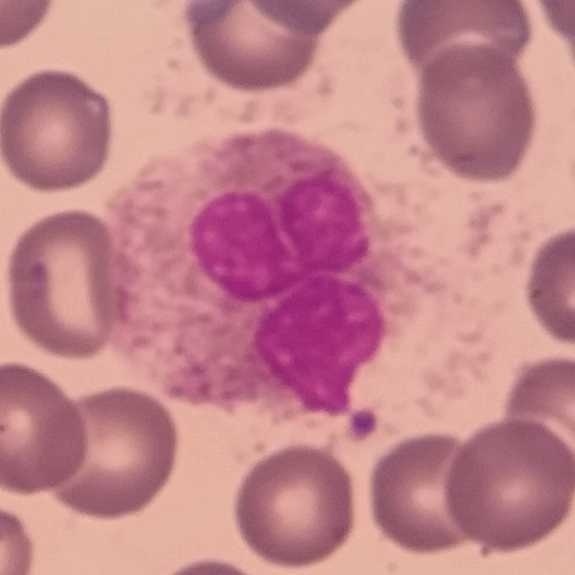Specimen: peripheral blood smear.
Cell type: eosinophilic granulocyte.
Lineage: myeloid.